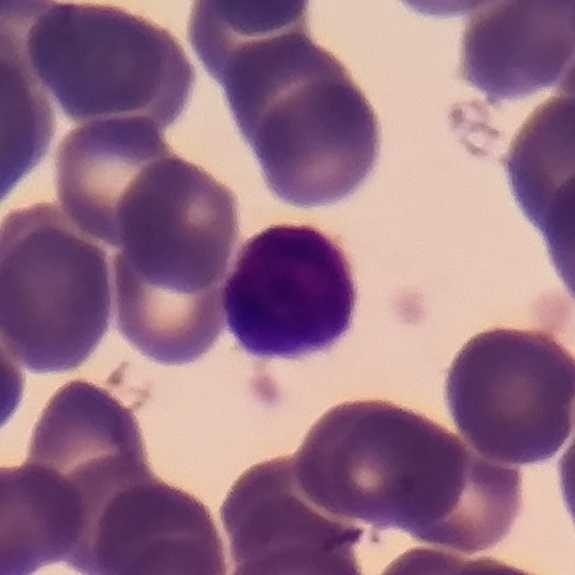

From a peripheral blood smear: a lymphocyte.